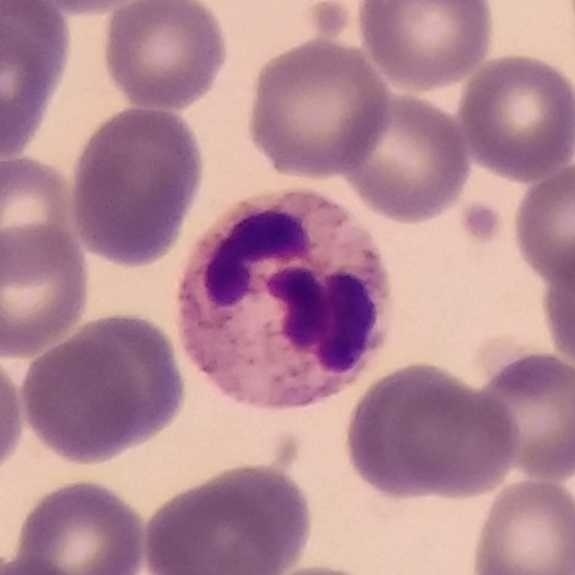
Preparation: Peripheral blood smear. Neutrophil granulocyte.